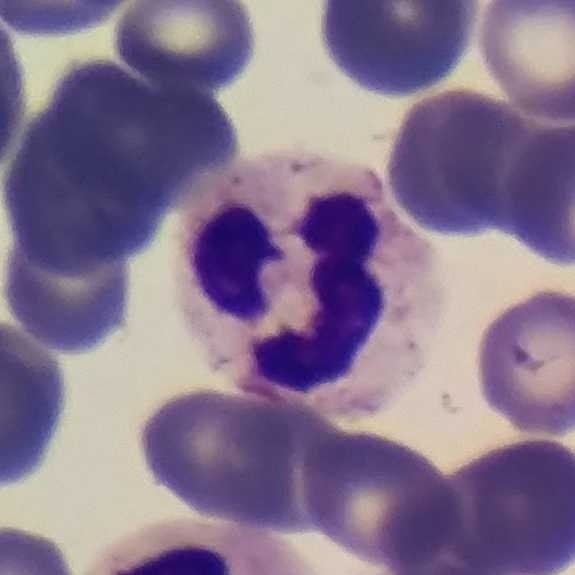 Q: What is this?
A: It is a neutrophil granulocyte.

Context: 575×575 px · peripheral blood smear.